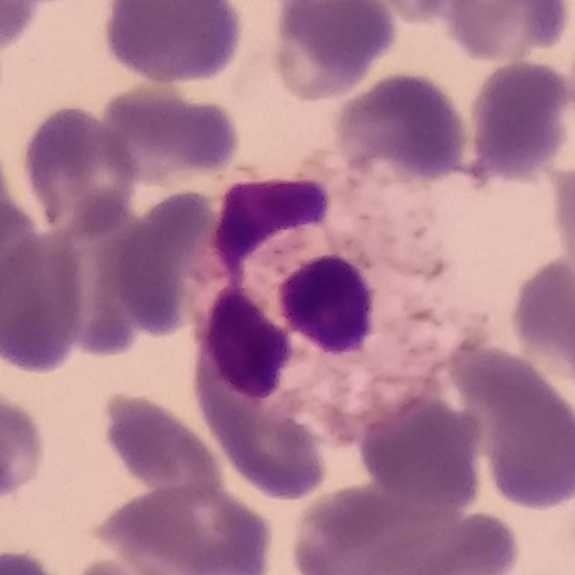

Morphological class: neutrophilic granulocyte. Preparation: Peripheral blood smear.